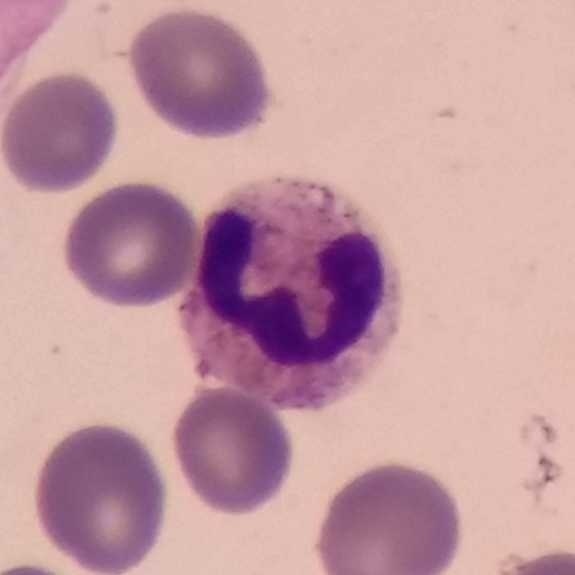 Context: Peripheral blood smear. Q: Classify this leukocyte.
A: This is a neutrophil granulocyte.